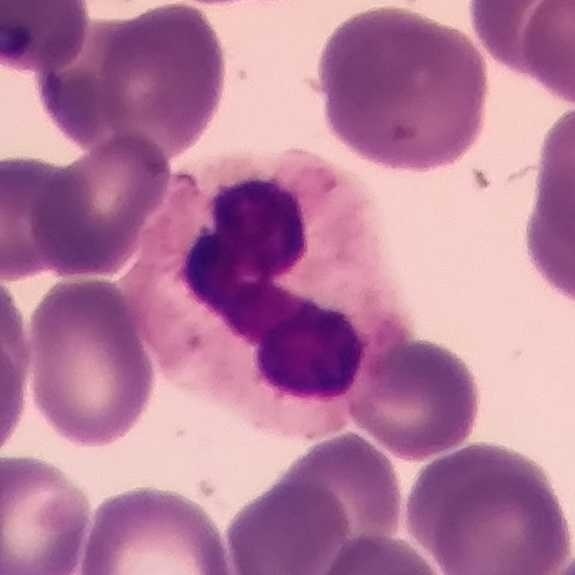 Q: Identify the cell.
A: This is a neutrophilic granulocyte.

Preparation: Peripheral blood smear.